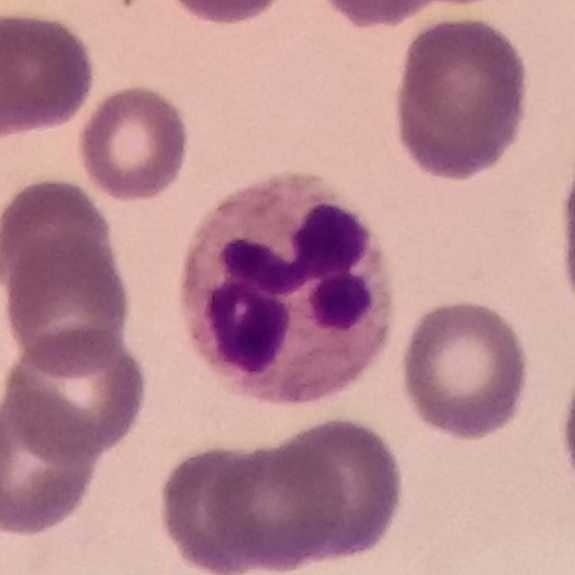 Q: Identify the cell.
A: Neutrophil granulocyte.